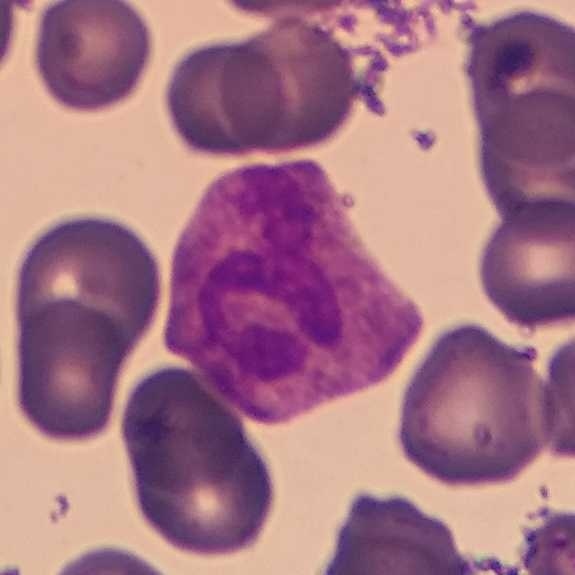Peripheral blood film.
{"cell_type": "neutrophil granulocyte", "lineage": "myeloid"}